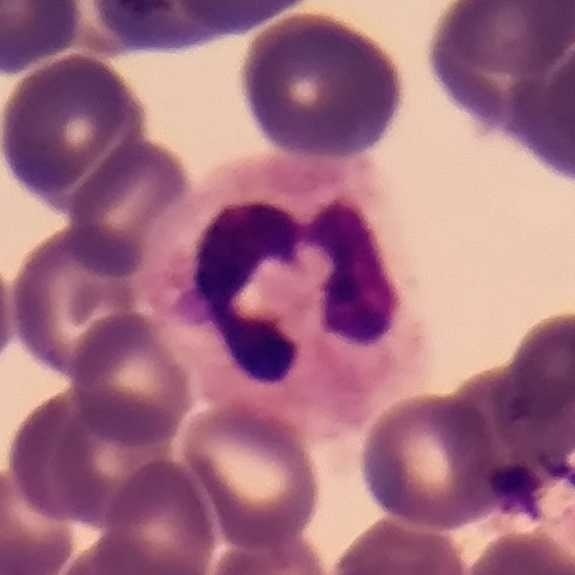Specimen: peripheral blood film.
White blood cell type: neutrophilic granulocyte.
Lineage: myeloid.

Preparation: Giemsa stain.